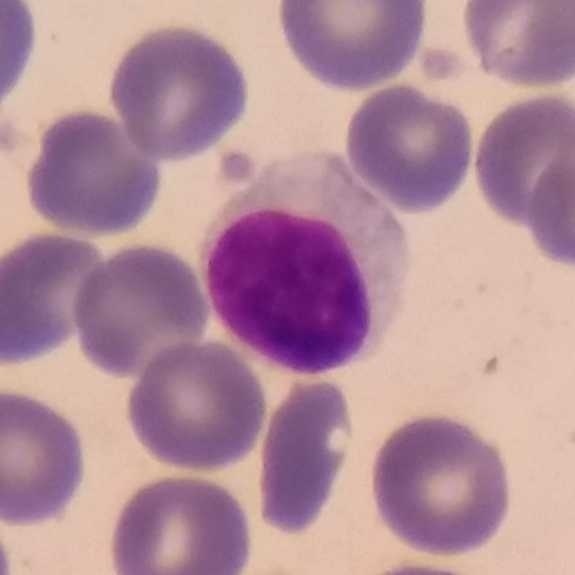 Lymphocyte.

Preparation: Peripheral blood film · image size 575×575.